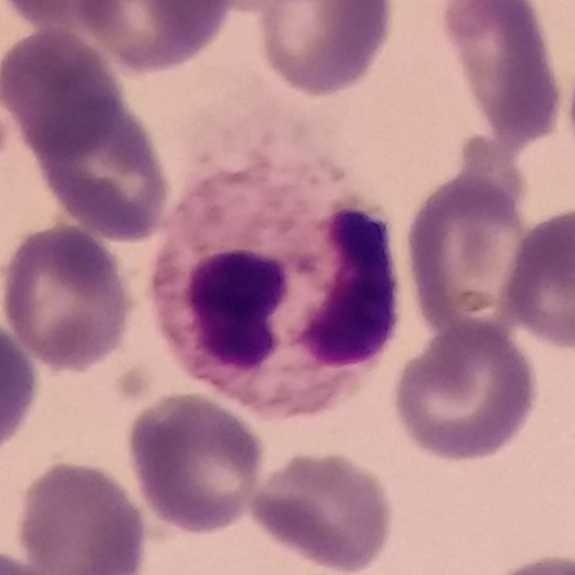Showing a neutrophilic granulocyte.

Context: Peripheral blood smear.